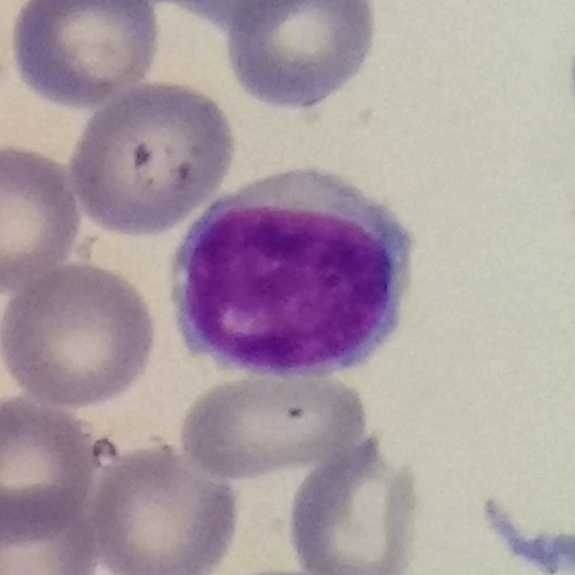Cell type — lymphocyte.